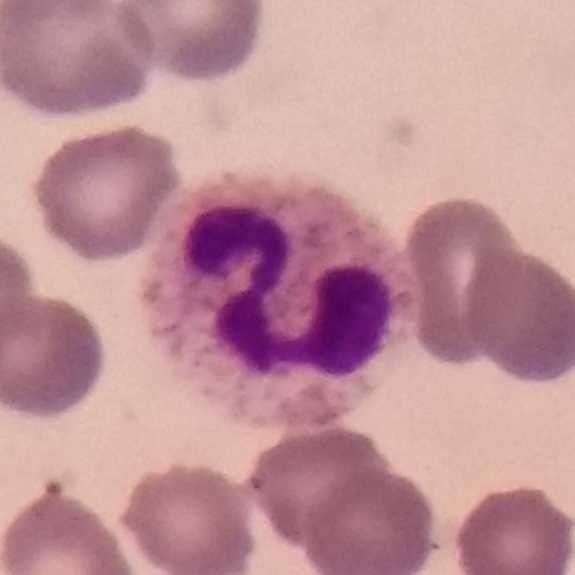
Cell type — neutrophilic granulocyte.

Image: Giemsa stain. Peripheral blood film.